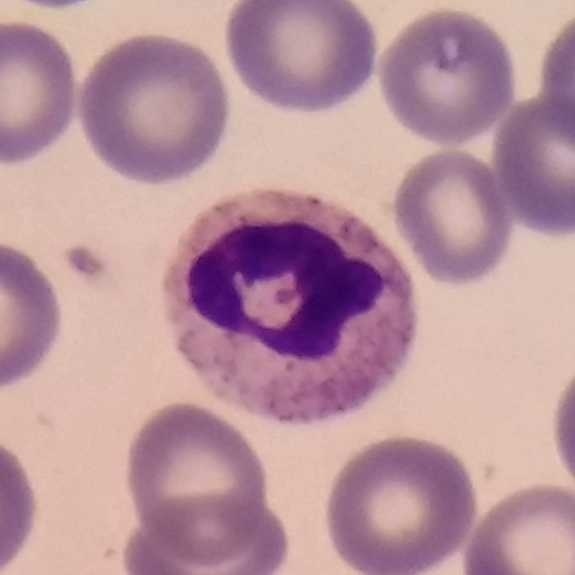
The morphological class is neutrophilic granulocyte.